Peripheral blood smear: 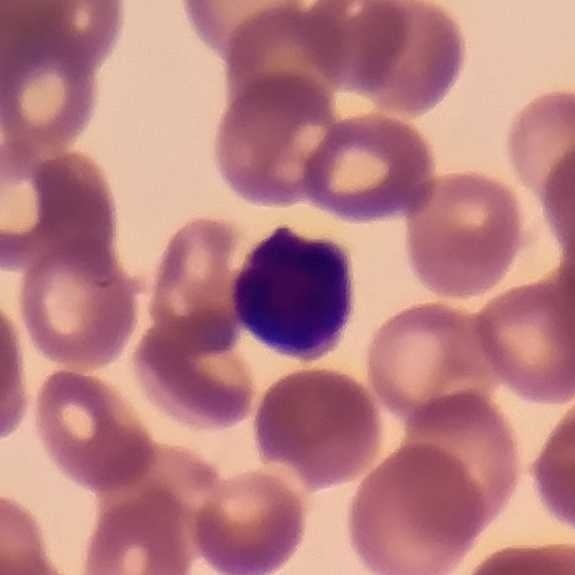
Single cell identified as a lymphocyte.